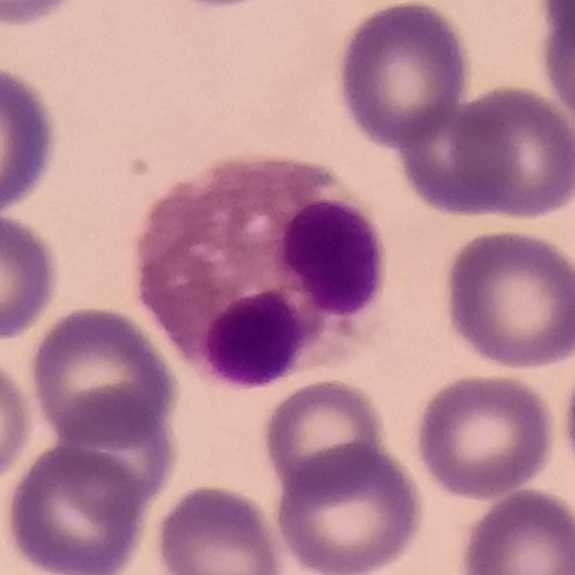Single-cell field. Peripheral blood smear.
The classification is eosinophilic granulocyte.